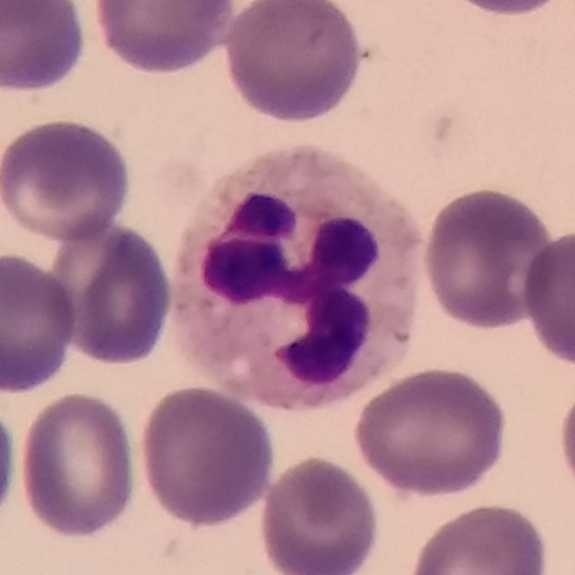
Morphology consistent with a neutrophil.

Context: 575×575; peripheral blood film.